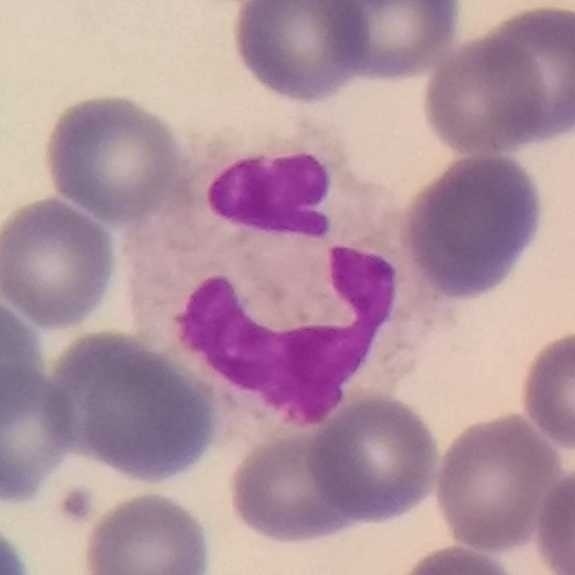 Classification: neutrophil granulocyte.